Peripheral blood smear.
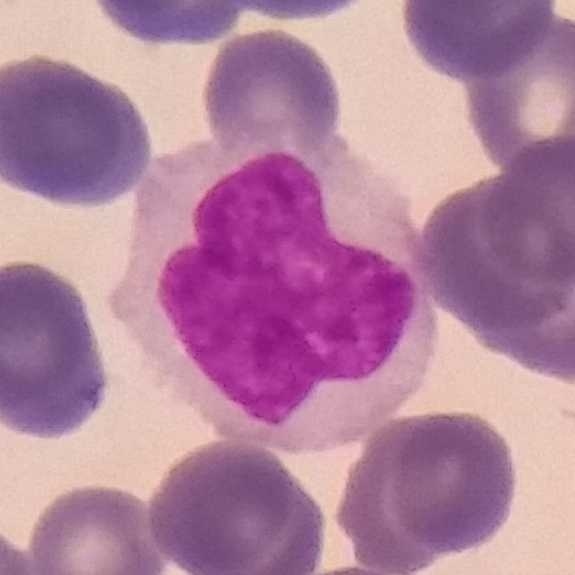
Single cell identified as a monocyte.